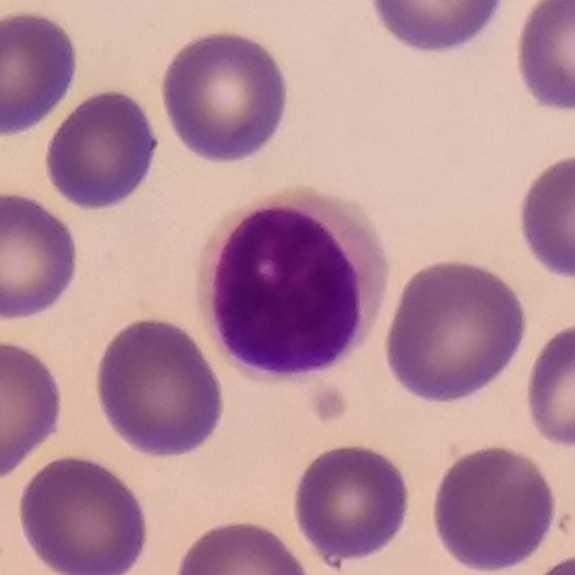 Single-cell crop; peripheral blood smear; smartphone camera mounted on the microscope eyepiece. Q: What is the morphological classification of this cell?
A: Lymphocyte.